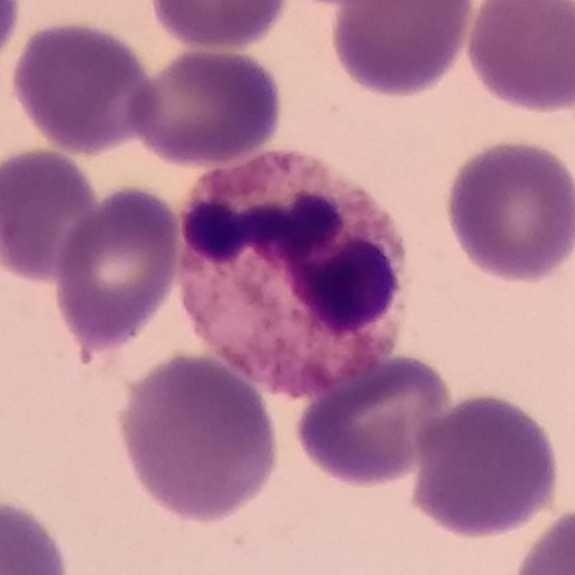White blood cell from a peripheral blood smear: neutrophil.